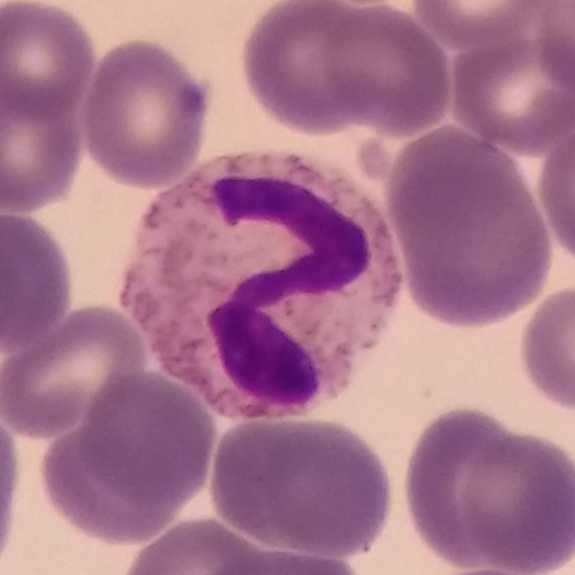Cell type: neutrophil. Peripheral blood smear.